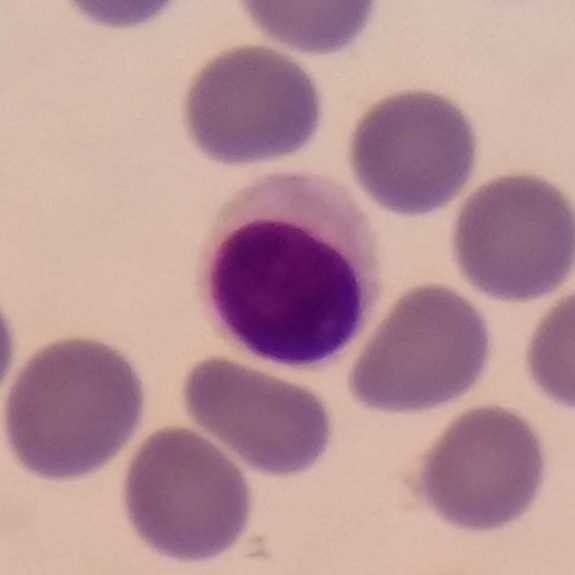
Specimen: peripheral blood smear.
Morphological class: lymphocyte.
Lineage: lymphoid.